Imaged at 100×; peripheral blood film:
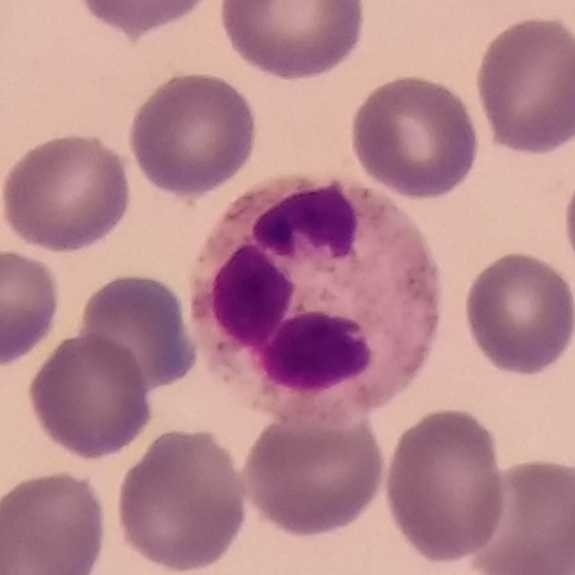 Impression → neutrophilic granulocyte.